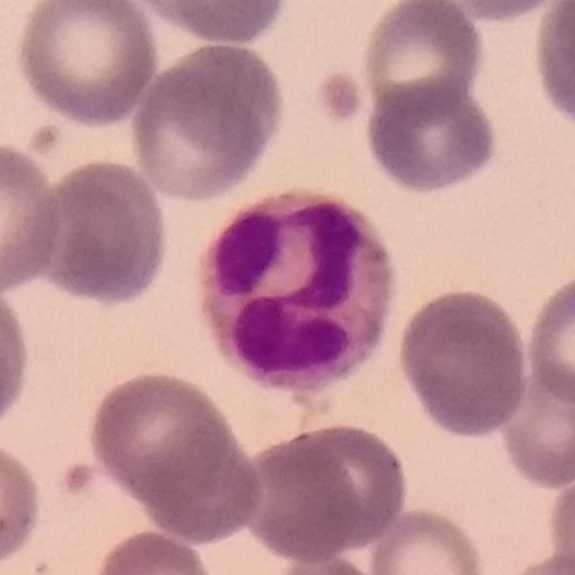Impression → neutrophil granulocyte.
Preparation: Peripheral blood smear · phone-camera image taken through the microscope ocular.